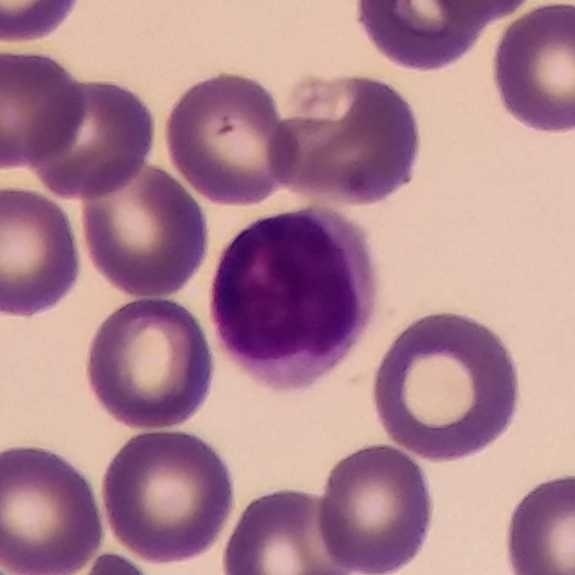 Specimen: peripheral blood film.
White blood cell type: lymphocyte.
Lineage: lymphoid.